Peripheral blood smear. 575×575 px. Phone-camera image taken through the microscope ocular.
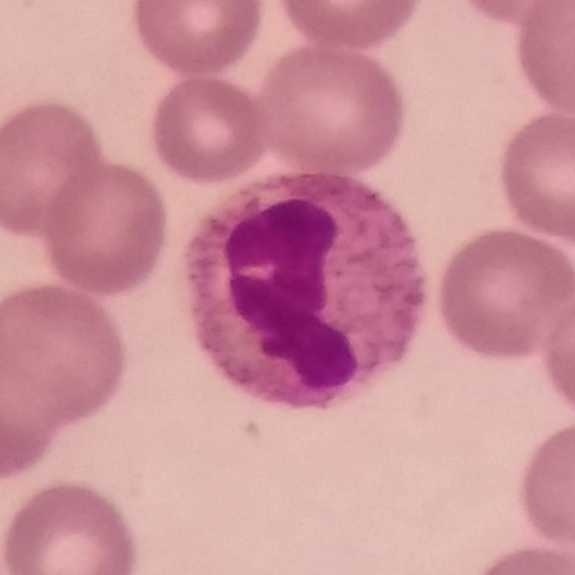
Impression — neutrophil.